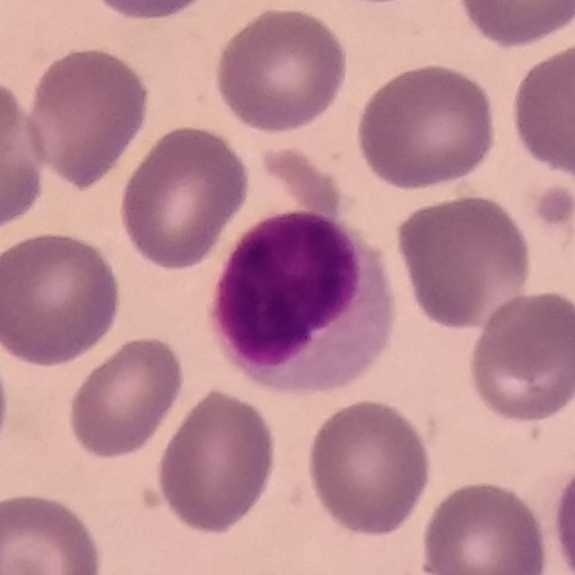
Q: What is this?
A: A lymphocyte. Acquisition: 575×575 px; peripheral blood smear; stained with Giemsa.